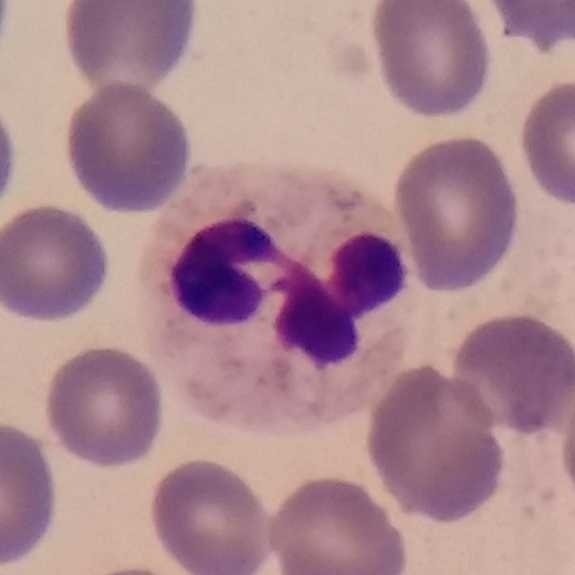 Impression — neutrophil. Acquisition: 575×575. Peripheral blood film. Smartphone photomicrograph.